Peripheral blood film. Imaged at 100×: 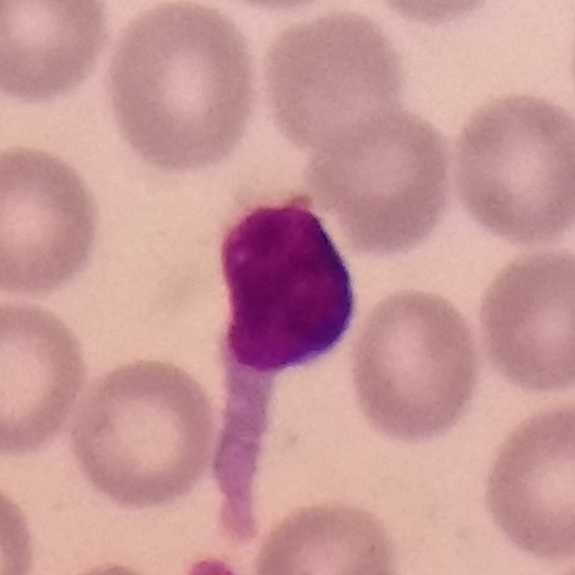

Q: Which type of white blood cell is this?
A: It is a lymphocyte.